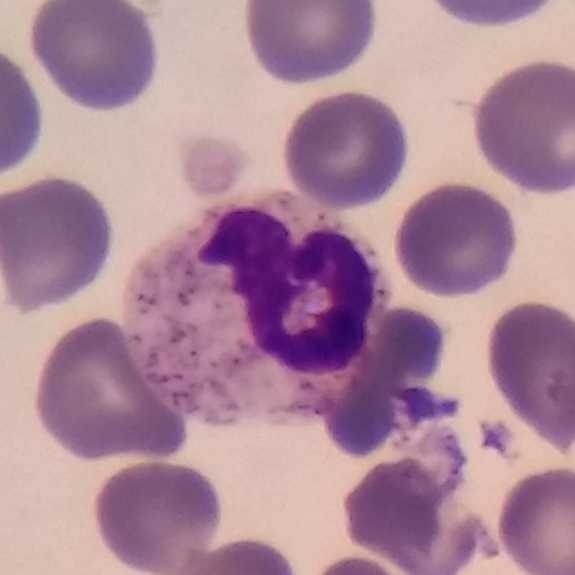 Neutrophil.
Image: Giemsa-stained · peripheral blood film · single-cell crop.